575×575 px; peripheral blood smear
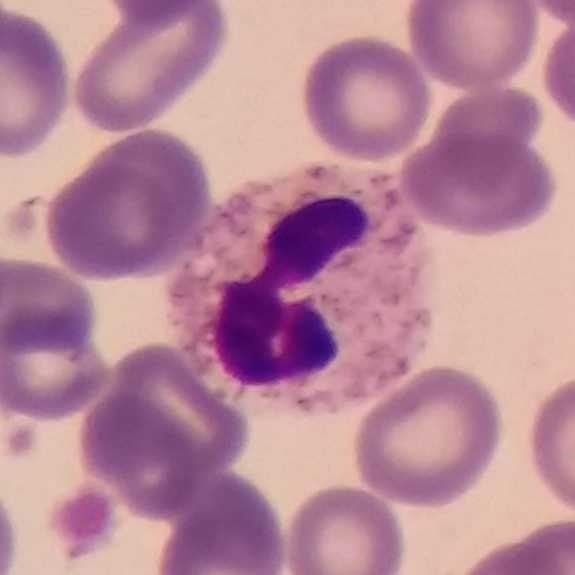Cell — neutrophilic granulocyte.